Phone-camera image taken through the microscope ocular · peripheral blood smear · 575 by 575 pixels — 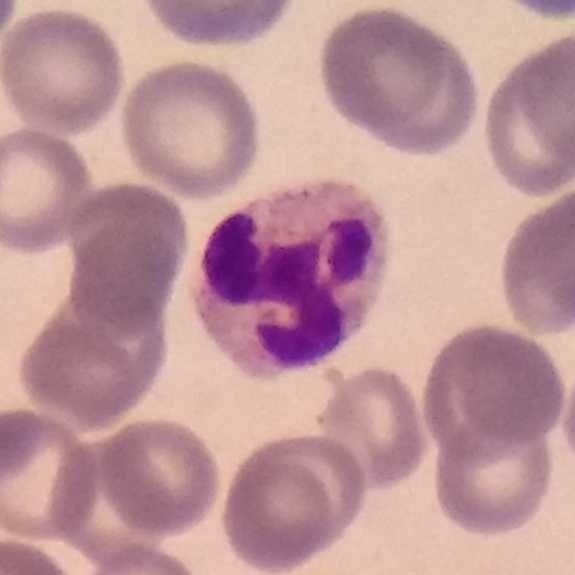 Cell type — neutrophil.